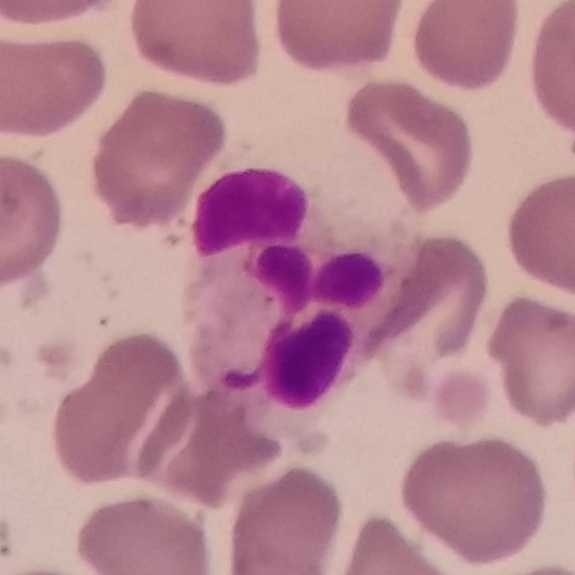
Peripheral blood smear showing a neutrophil.